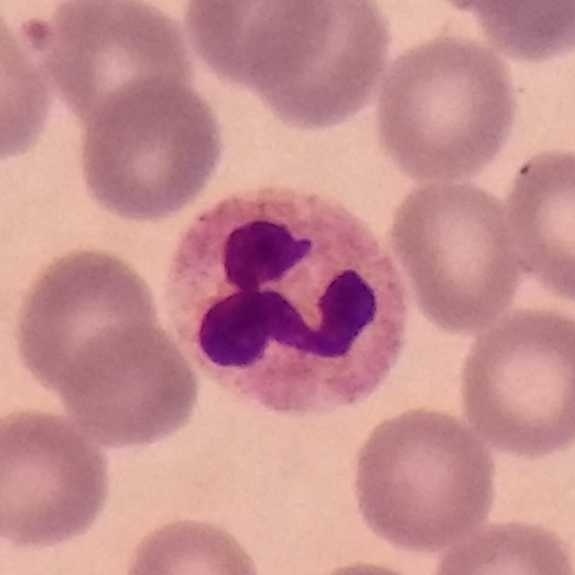

Peripheral blood smear.
The cell type is neutrophil granulocyte.